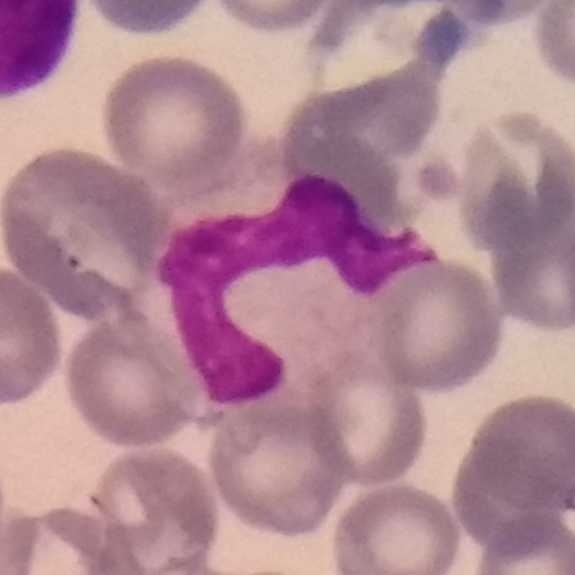 Peripheral blood smear.

Cell type = neutrophilic granulocyte.